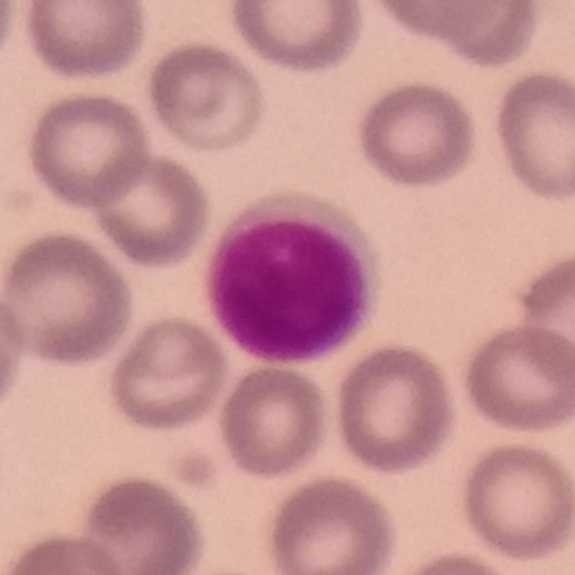Showing a lymphocyte.

Peripheral blood film. Magnification 100×.